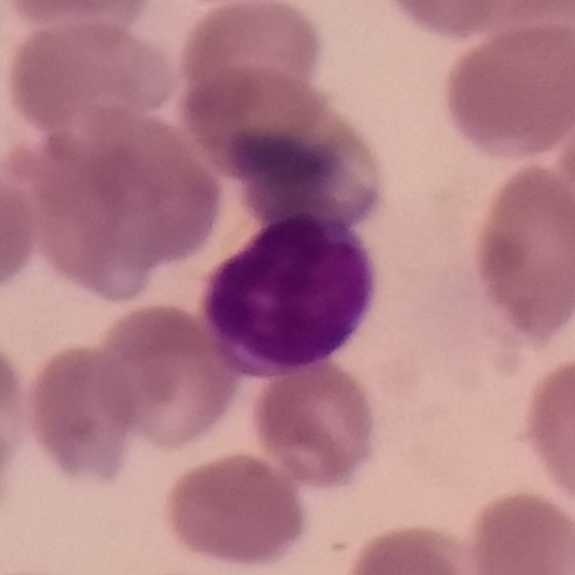

Acquisition: Imaged at 100×. Specimen: peripheral blood smear.
White blood cell type: lymphocyte.